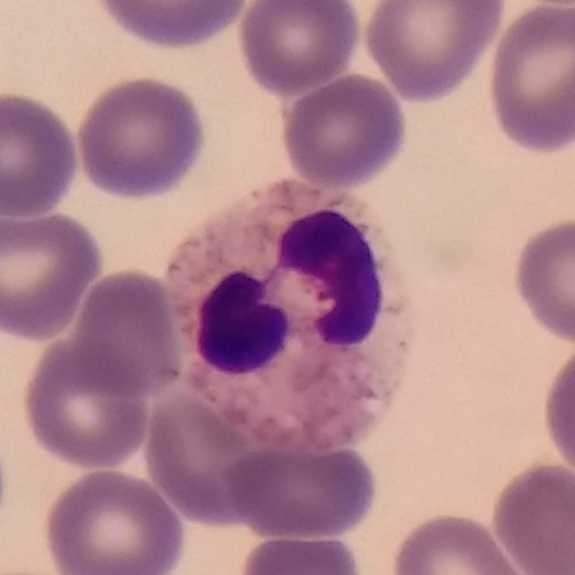Image: Peripheral blood smear.
Showing a neutrophil.